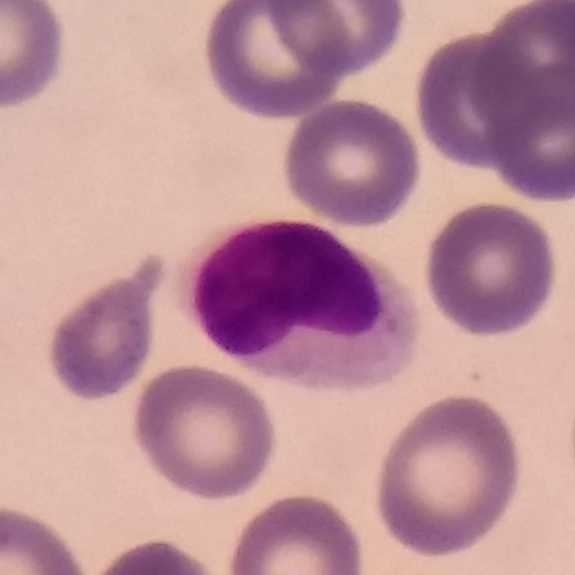 {"cell_type": "lymphocyte", "lineage": "lymphoid"}

Preparation: Peripheral blood film.